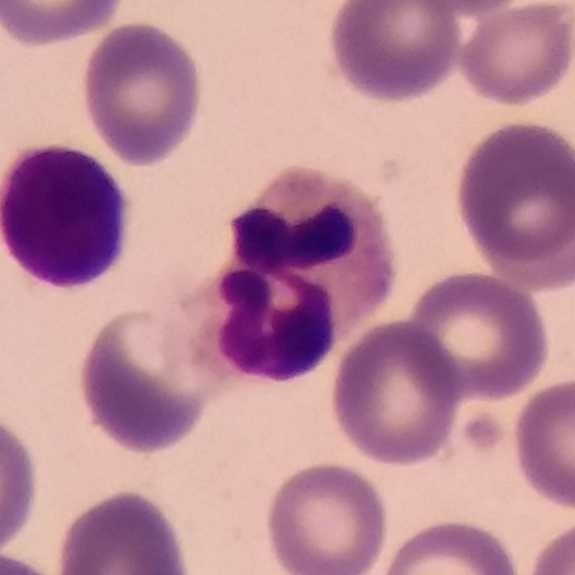

Classification: neutrophilic granulocyte.
Smartphone photomicrograph. Peripheral blood film. Single-cell field.